Smartphone camera mounted on the microscope eyepiece; peripheral blood film; imaged at 100×.
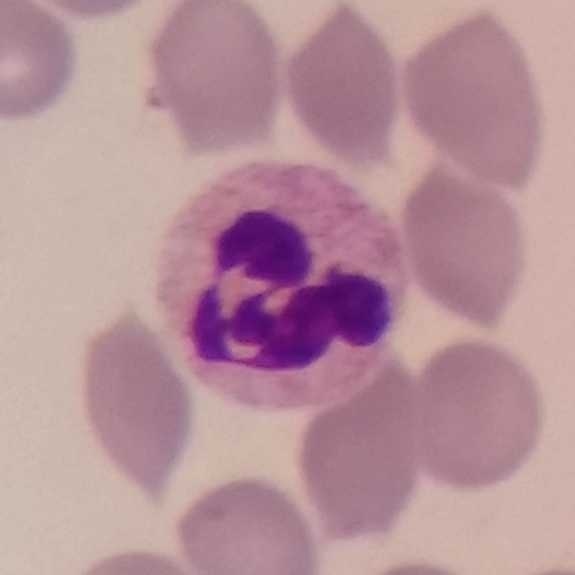

Morphology → neutrophilic granulocyte.